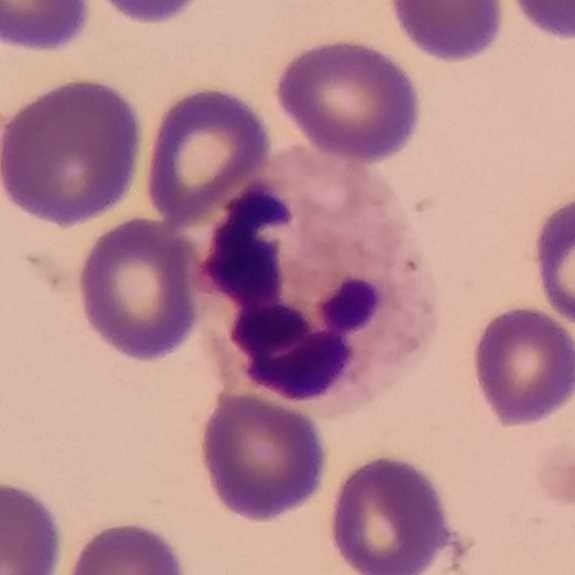Peripheral blood film. {"cell_type": "neutrophil", "lineage": "myeloid"}